Peripheral blood smear.
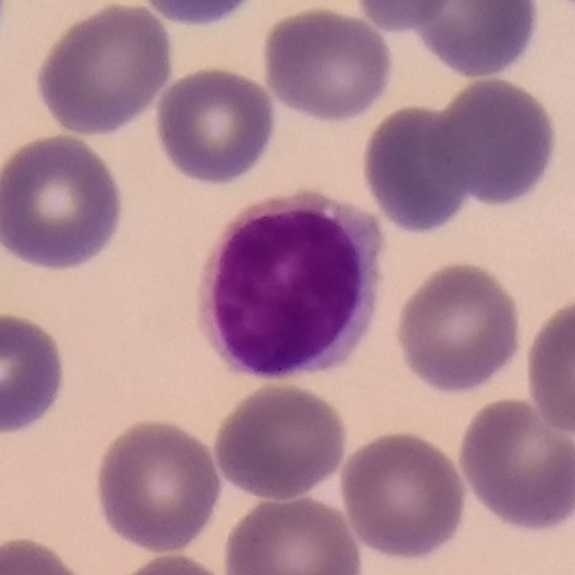Q: What is the morphological classification of this cell?
A: Lymphocyte.